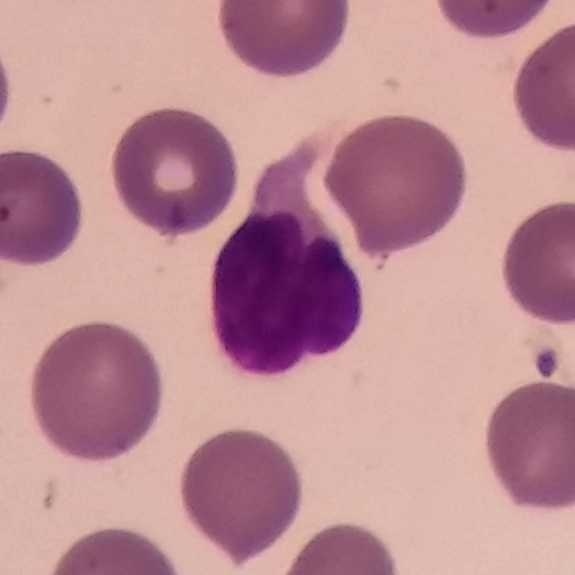
Morphology → lymphocyte.